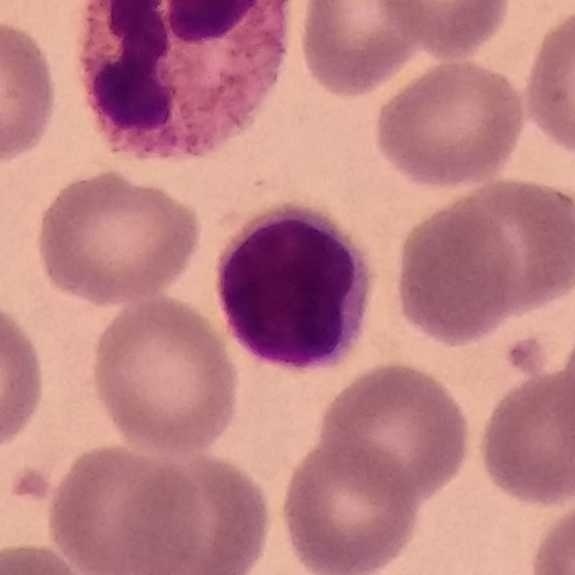
Image: Peripheral blood film.

The white blood cell type is lymphocyte.